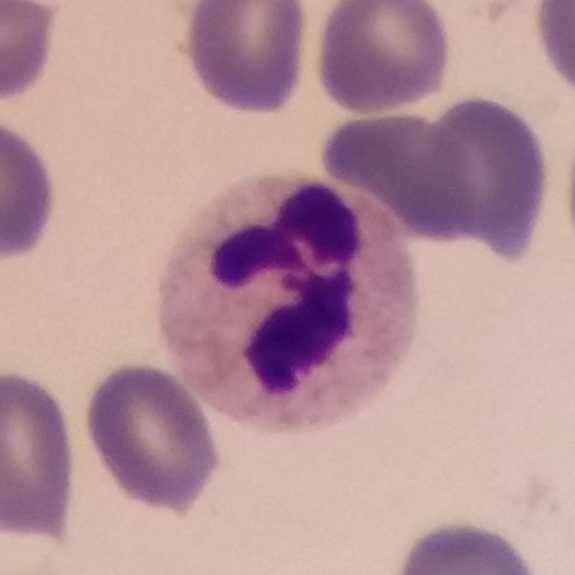
Peripheral blood film. Morphology consistent with a neutrophil.